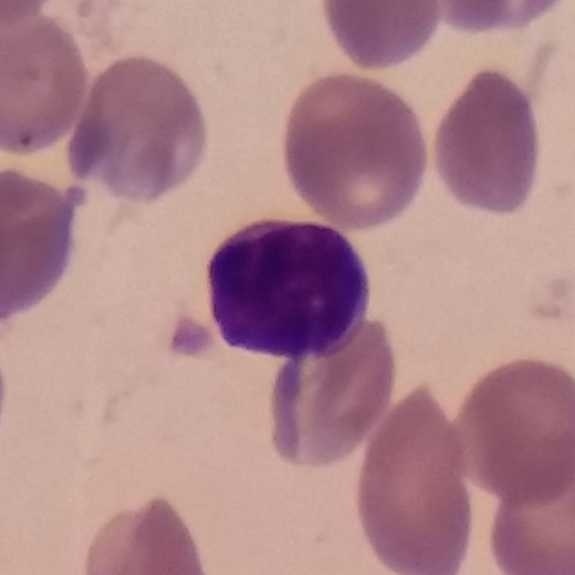The white blood cell in this image is a lymphocyte.